Peripheral blood smear
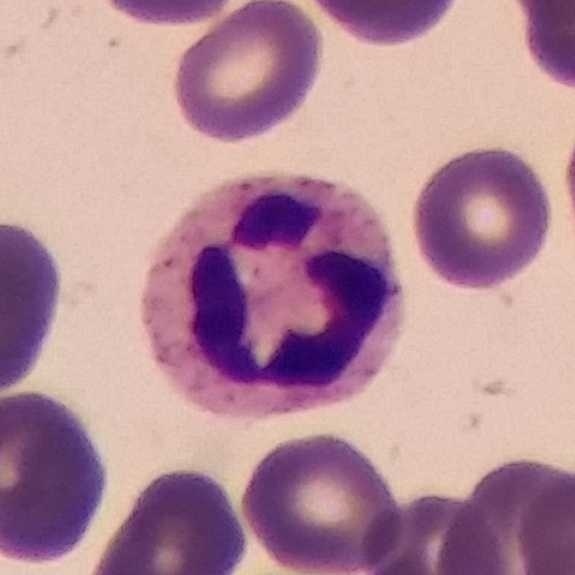

Impression — neutrophilic granulocyte.